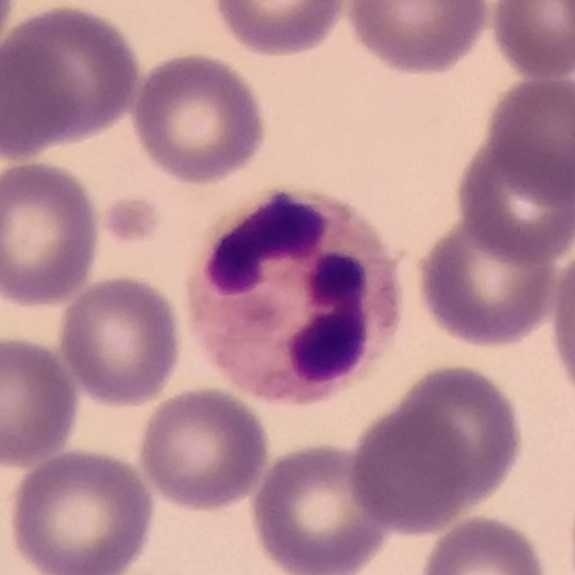
Specimen: peripheral blood film.
Morphological class: neutrophilic granulocyte.